Peripheral blood smear:
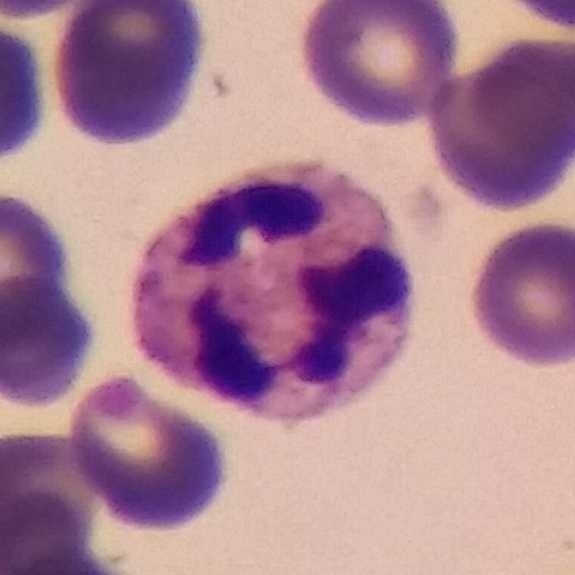
The white blood cell type is neutrophil.